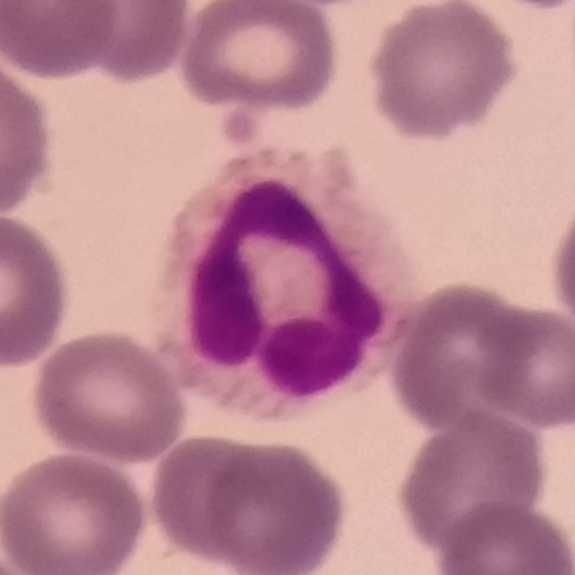 Context: Peripheral blood smear; 575 by 575 pixels.
Classification: neutrophilic granulocyte.